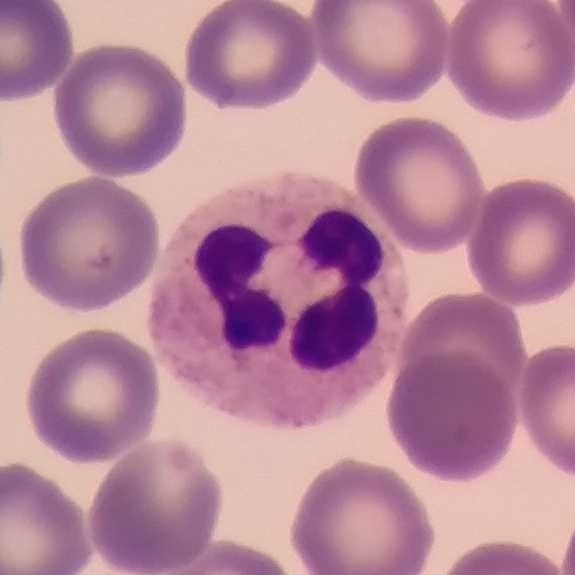
{"cell_type": "neutrophil granulocyte", "lineage": "myeloid"} Context: Cropped to one leukocyte · peripheral blood smear.